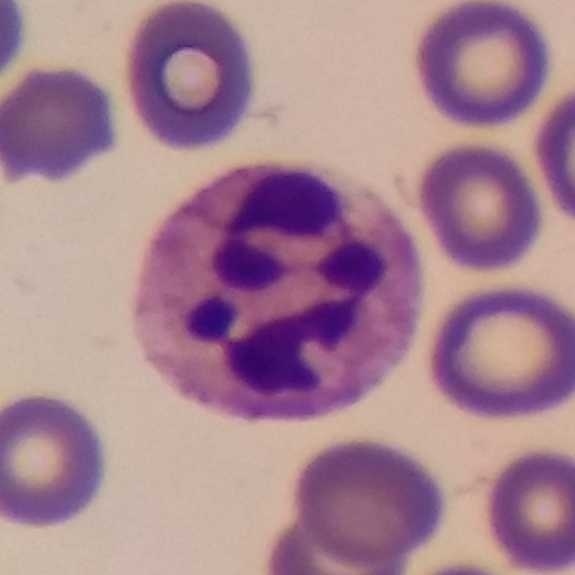
Impression → neutrophil. Preparation: Peripheral blood film.